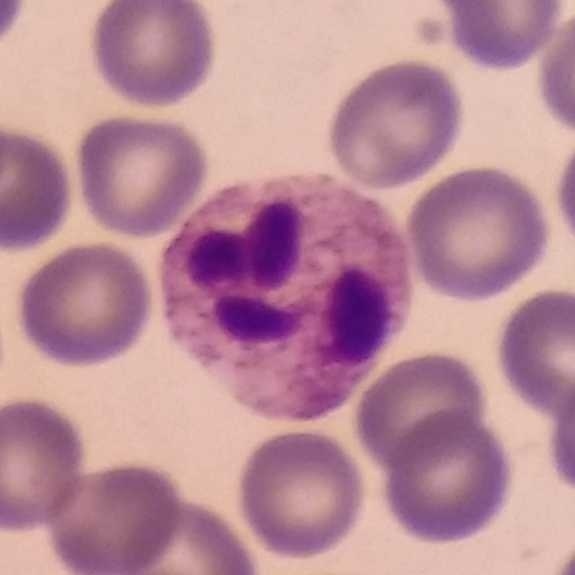

White blood cell type — neutrophil granulocyte.